Peripheral blood film
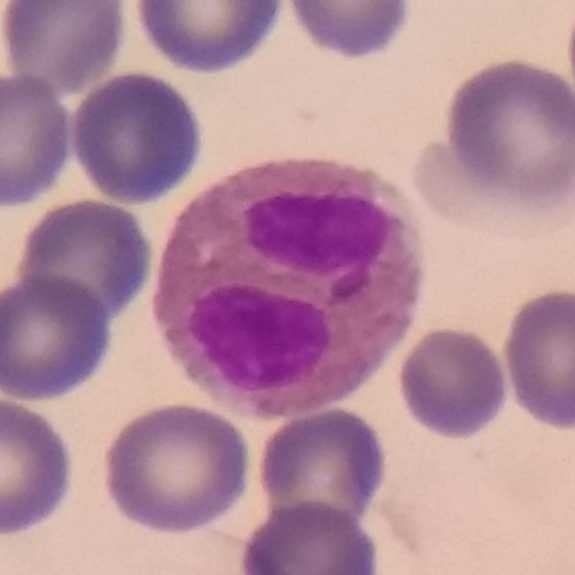Impression — eosinophilic granulocyte.